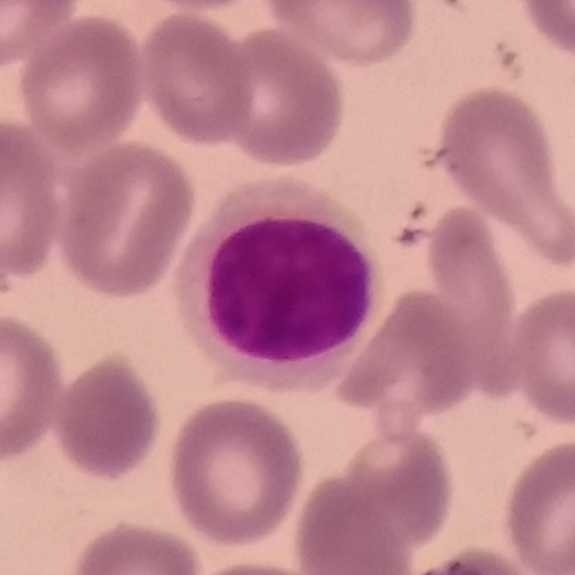 Peripheral blood smear; single white blood cell cropped from the smear photograph.

A lymphocyte.